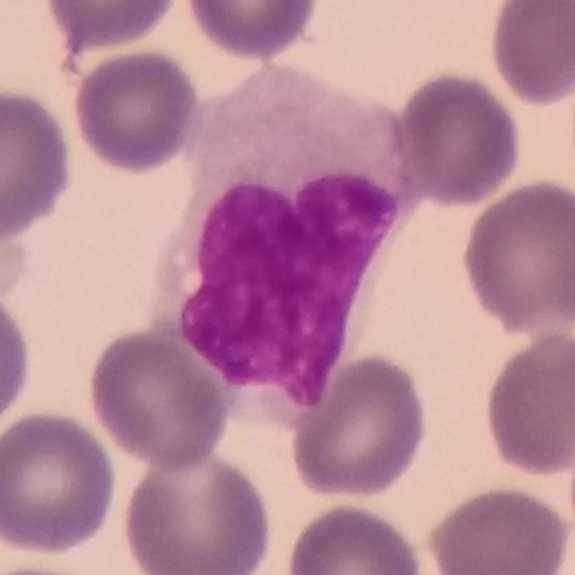Specimen: peripheral blood smear.
Morphological class: monocyte.